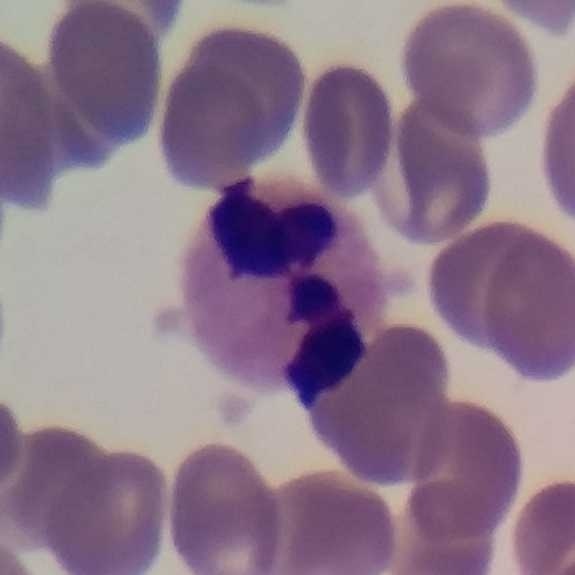
Specimen: peripheral blood smear.
Morphological class: neutrophil.
Lineage: myeloid.

Acquisition: Smartphone camera mounted on the microscope eyepiece.